Peripheral blood smear · stained with Giemsa
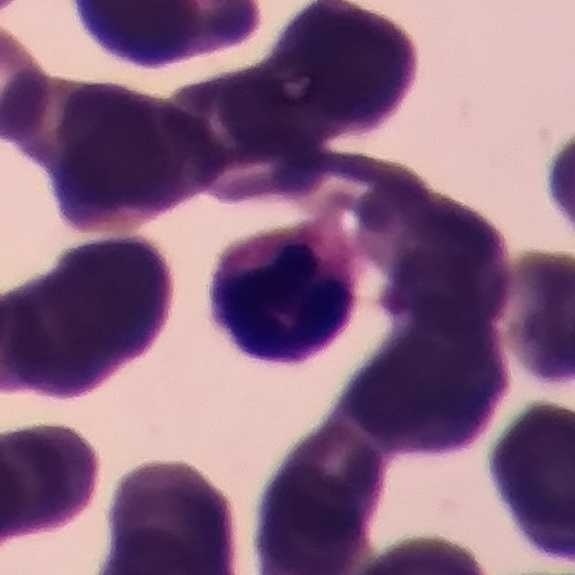Showing a neutrophil granulocyte.